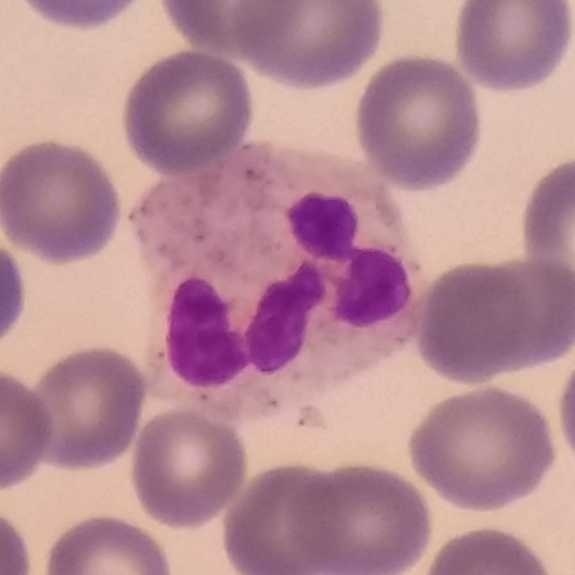Classification = neutrophil.
Peripheral blood smear.